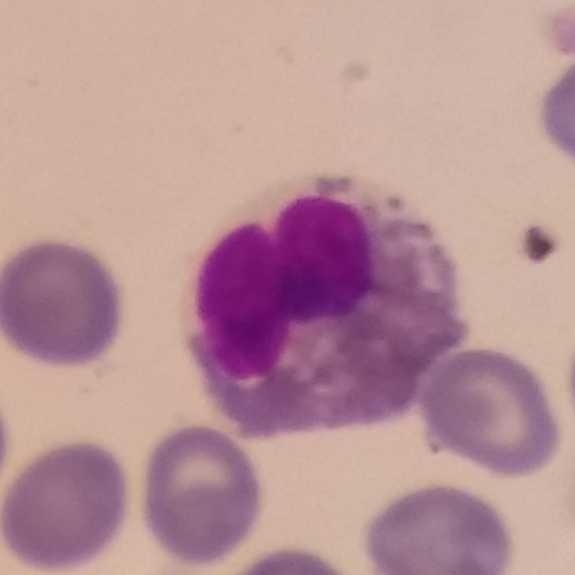
Identified as an eosinophil. Image: Peripheral blood smear.